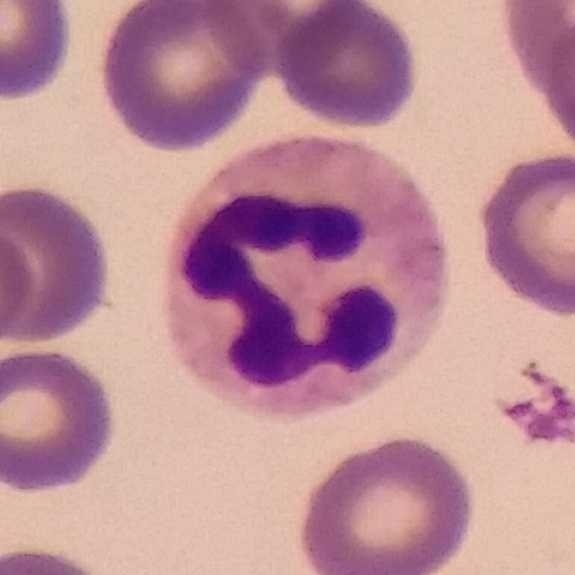

Specimen: peripheral blood film.
Classification: neutrophilic granulocyte.
Lineage: myeloid.